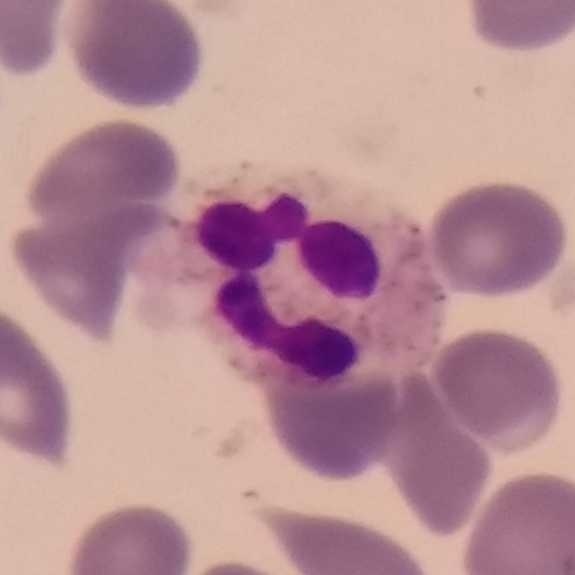
Morphology consistent with a neutrophilic granulocyte.

Image: Peripheral blood smear.